Peripheral blood smear; photographed through a light microscope with a smartphone camera; single-cell field
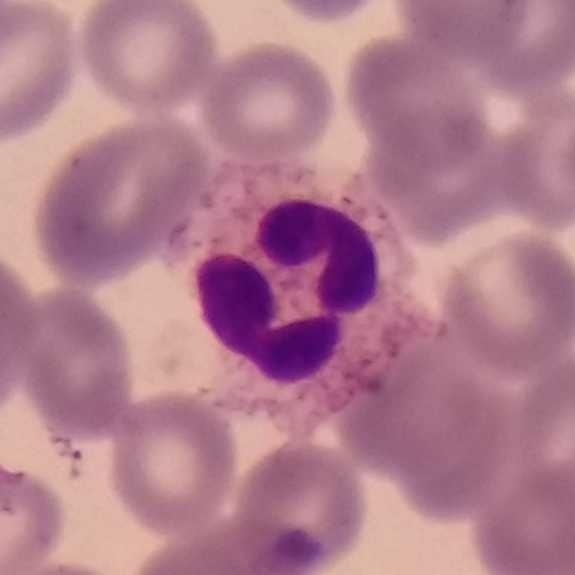
The cell is neutrophil granulocyte.